Peripheral blood film: 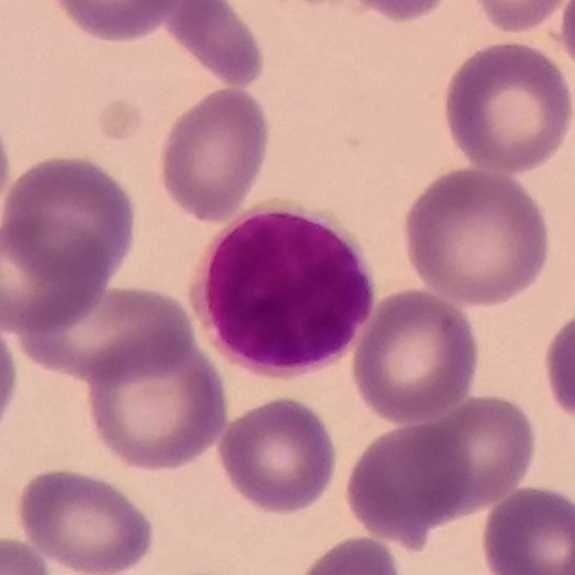
This is a lymphocyte.